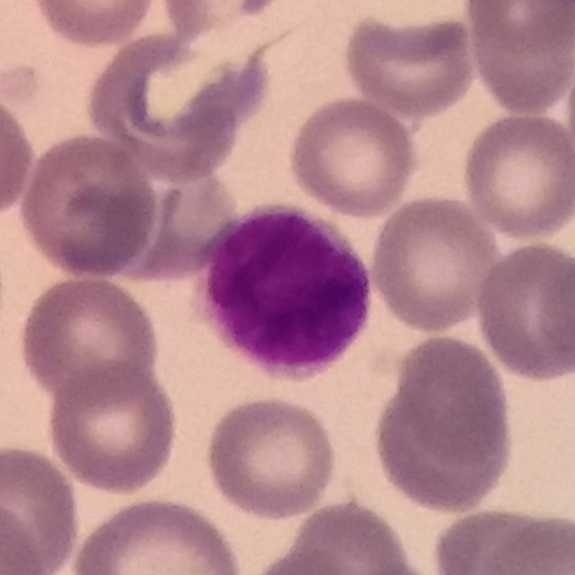 Classification — lymphocyte. Acquisition: Peripheral blood smear; image size 575×575; phone-camera image taken through the microscope ocular.